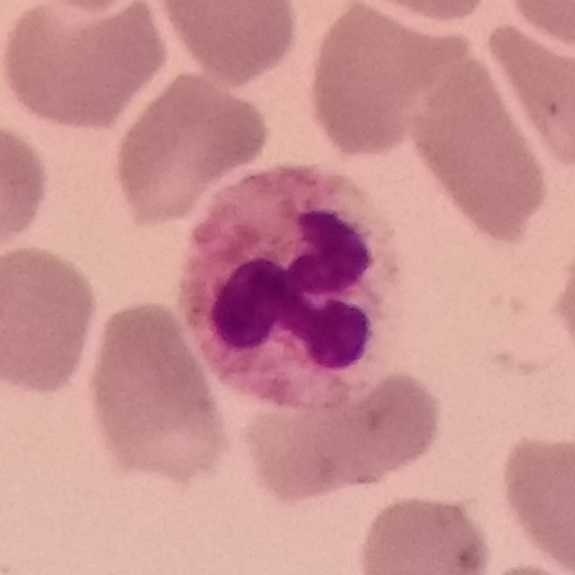
Acquisition: Peripheral blood smear. Impression → neutrophilic granulocyte.